Peripheral blood smear. 575×575 px:
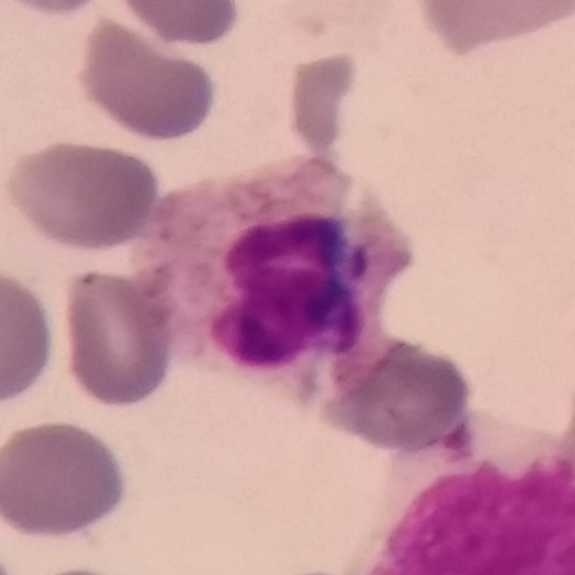 Q: What type of cell is this?
A: This is a neutrophilic granulocyte.